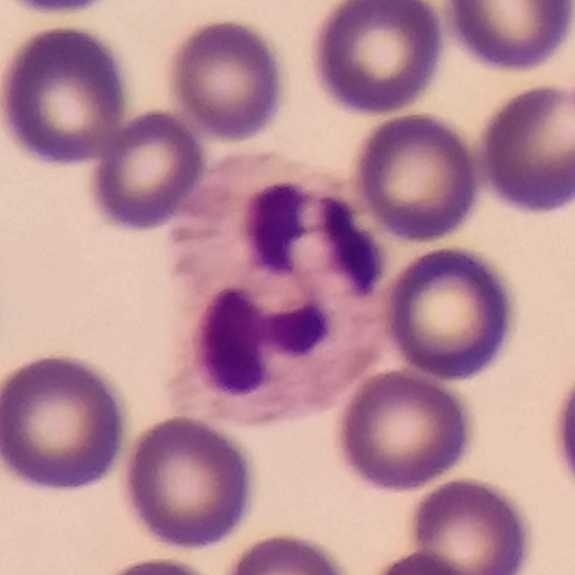
Cell type: neutrophilic granulocyte.